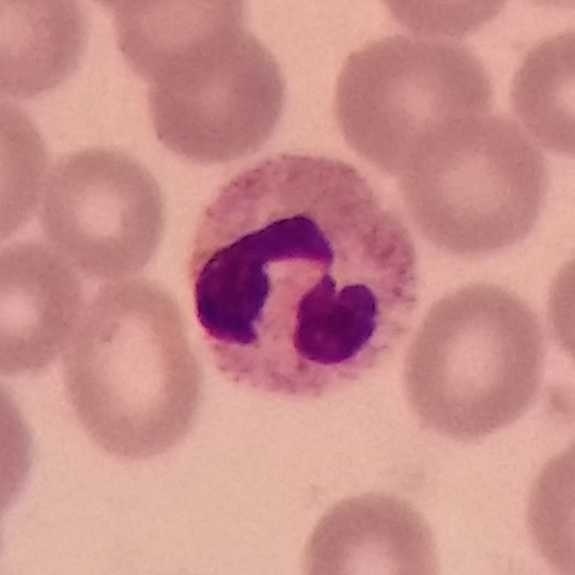

Specimen: peripheral blood smear.
Morphological class: neutrophil.
Lineage: myeloid.